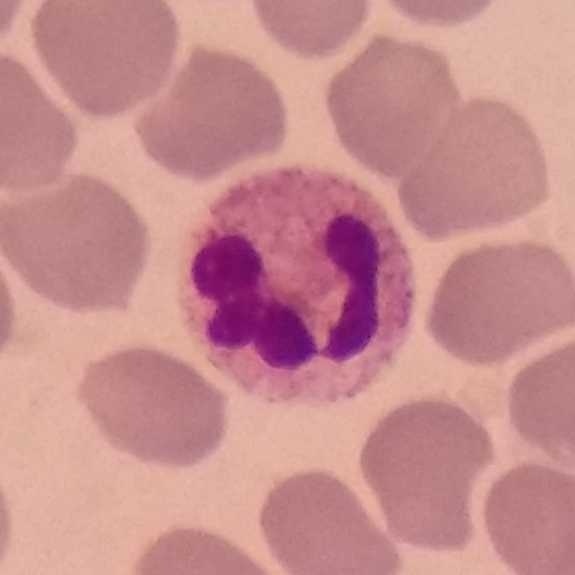A neutrophilic granulocyte.